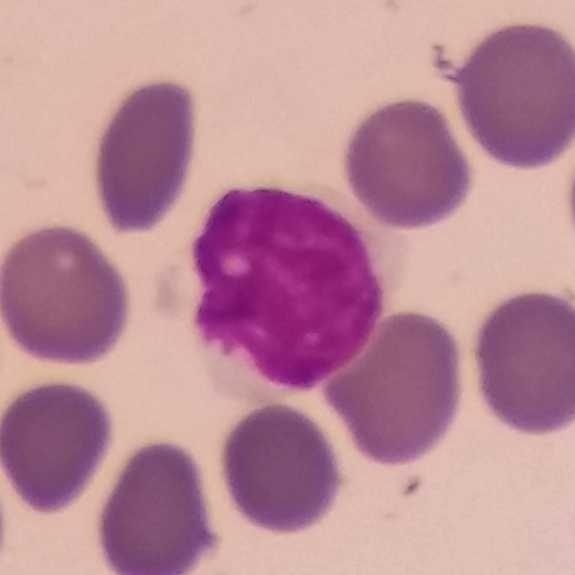

Context: Smartphone photomicrograph; peripheral blood smear.

Cell type — lymphocyte.